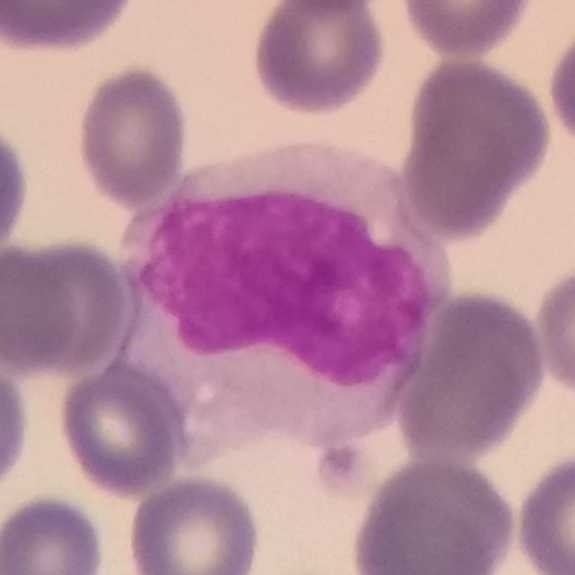Specimen: peripheral blood smear.
Morphological class: monocyte.